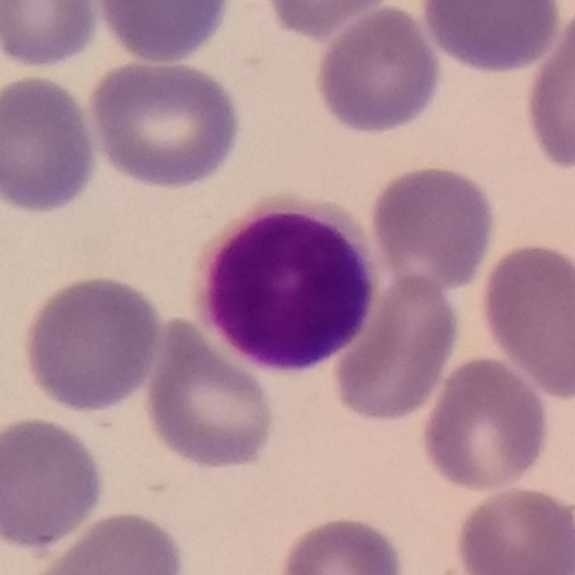

Impression → lymphocyte.

Context: Peripheral blood smear.